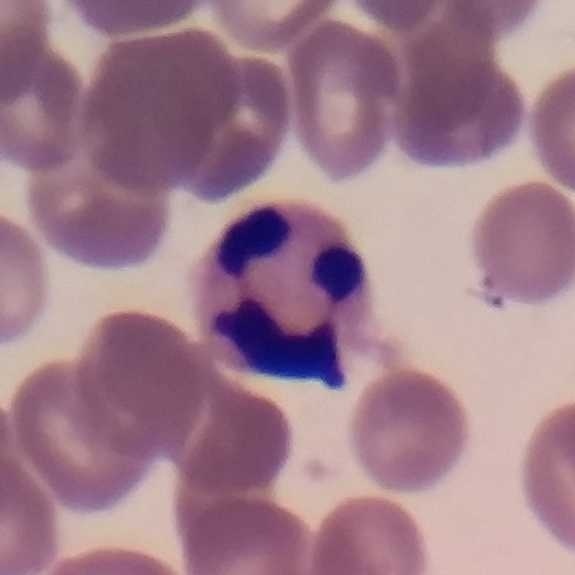 Cell type — neutrophilic granulocyte. Peripheral blood smear.